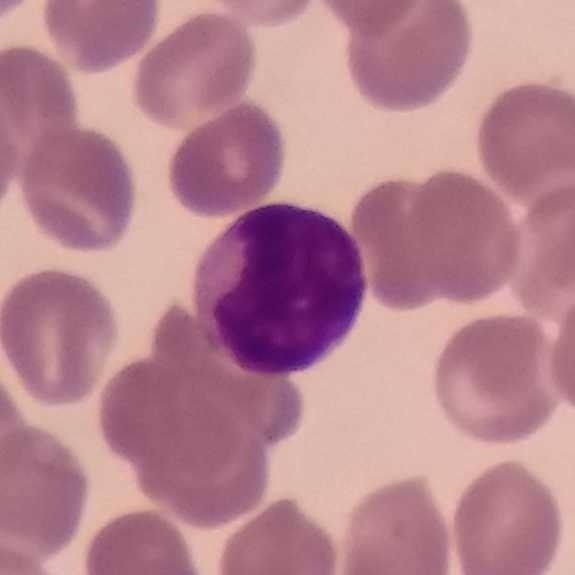 Morphology consistent with a lymphocyte.

Preparation: Peripheral blood film.